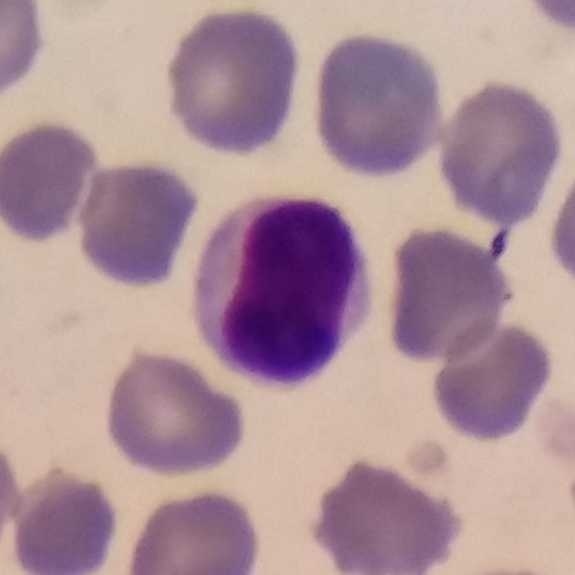
Specimen: peripheral blood smear.
Classification: lymphocyte.
Lineage: lymphoid.
Preparation: Stained with Giemsa.